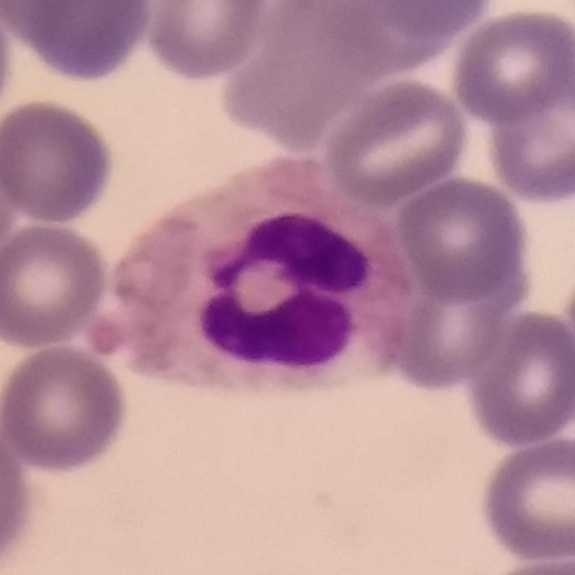
Acquisition: Peripheral blood film.

Morphology — neutrophil.